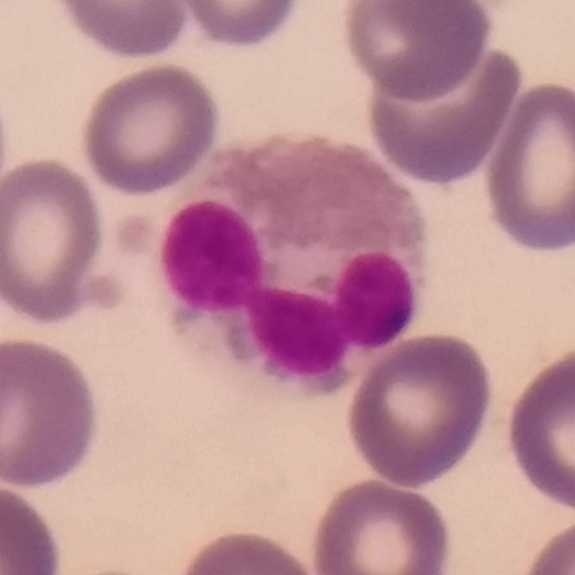
The morphological class is eosinophilic granulocyte.

Giemsa stain. 575 by 575 pixels. Peripheral blood film.